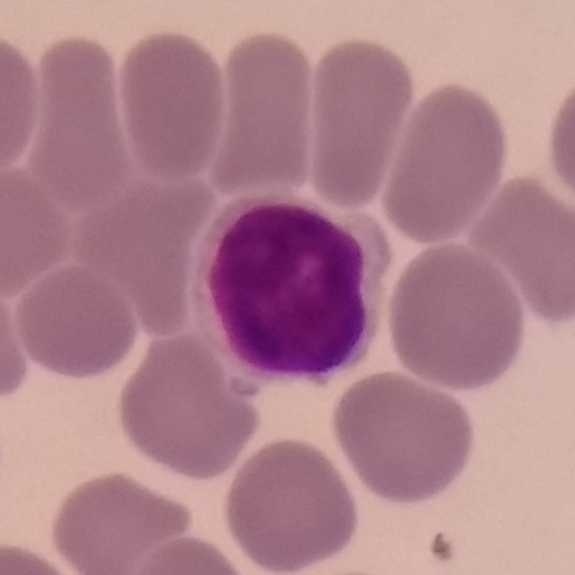 Q: What is this?
A: A lymphocyte.
Stained with Giemsa; peripheral blood film; single-cell crop.